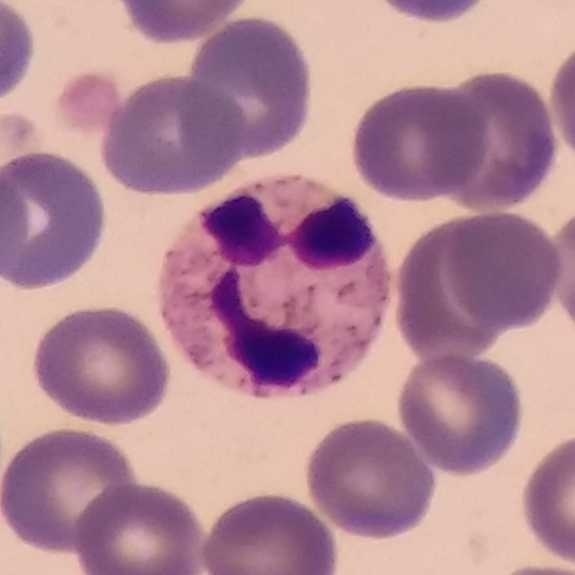The cell shown is a neutrophil granulocyte.
Stained with Giemsa; peripheral blood film.